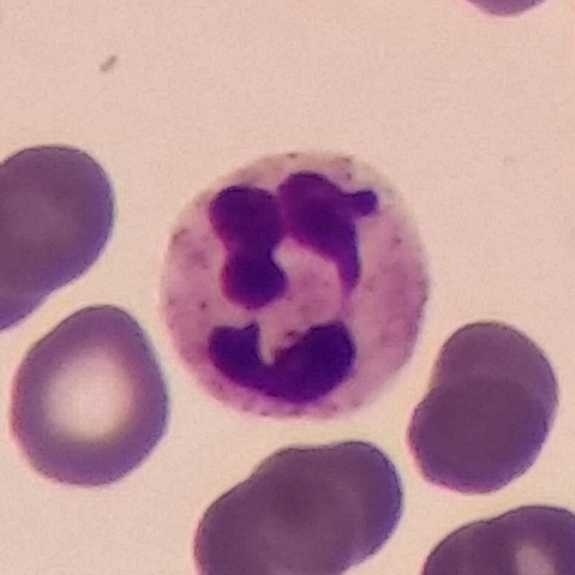
Peripheral blood smear.

Single cell identified as a neutrophil.